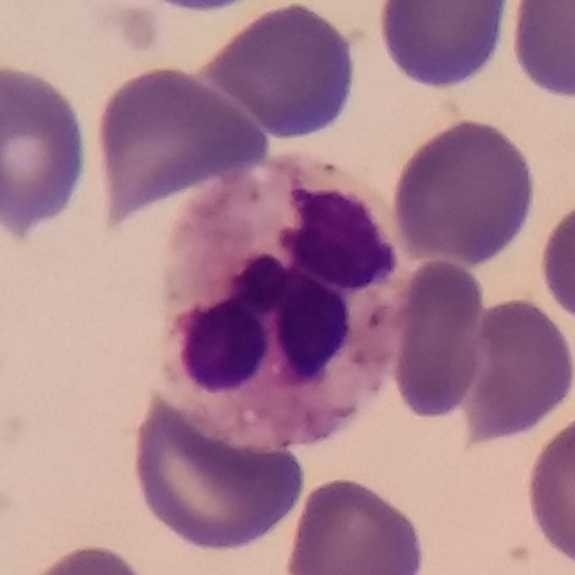Peripheral blood smear.

Showing a neutrophil.